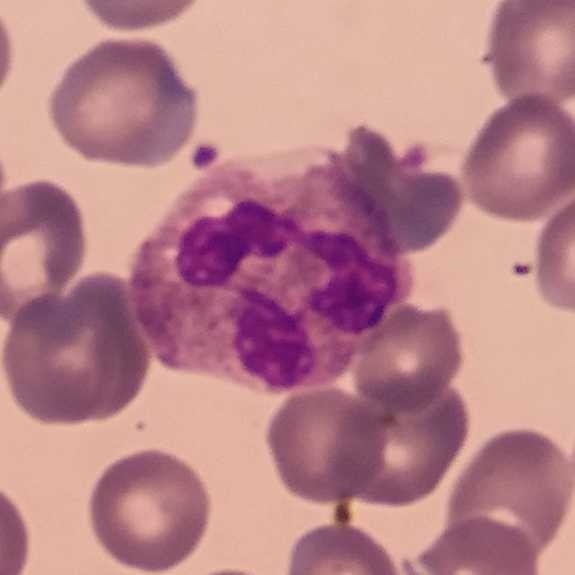 Cell: neutrophil granulocyte.
Image: Peripheral blood film.